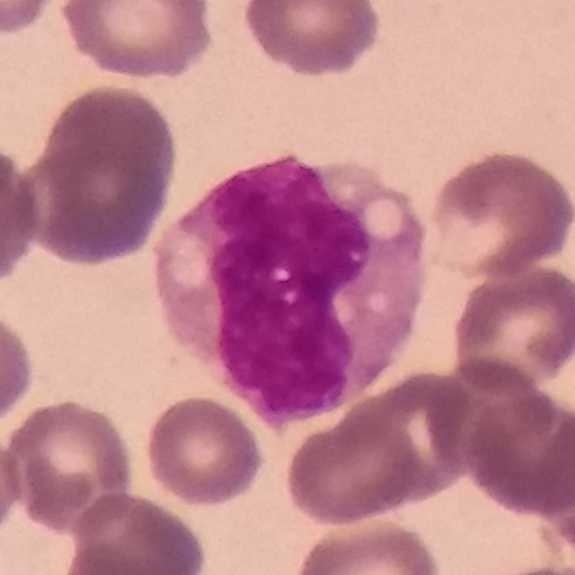

Peripheral blood smear. Giemsa stain.
Identified as a monocyte.